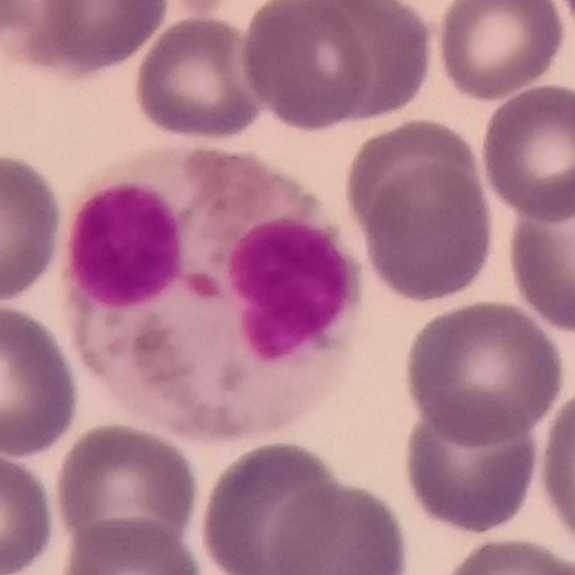

White blood cell type: eosinophilic granulocyte. Peripheral blood film; single-cell field.